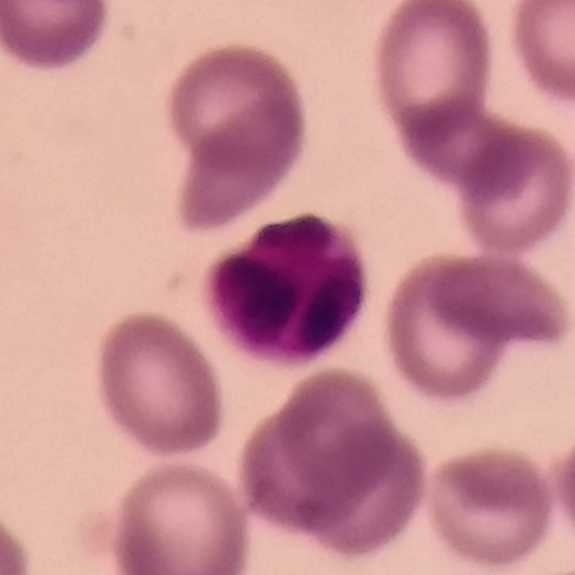 Preparation: 575 by 575 pixels. Peripheral blood film. Q: Which cell type is shown here?
A: This is a lymphocyte.